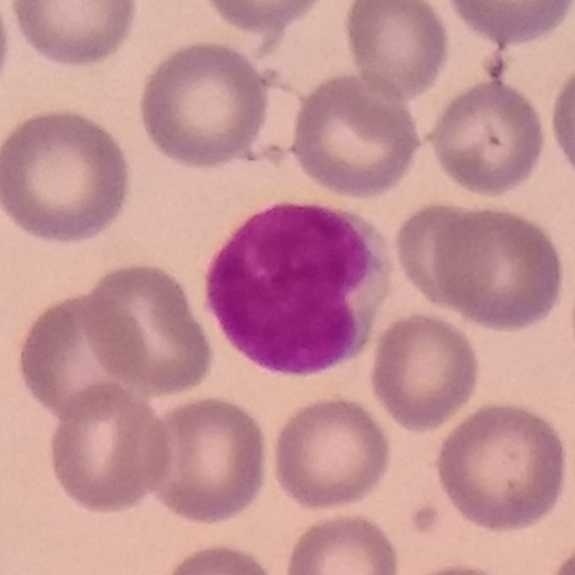 Specimen: peripheral blood film.
Classification: lymphocyte.
Lineage: lymphoid.